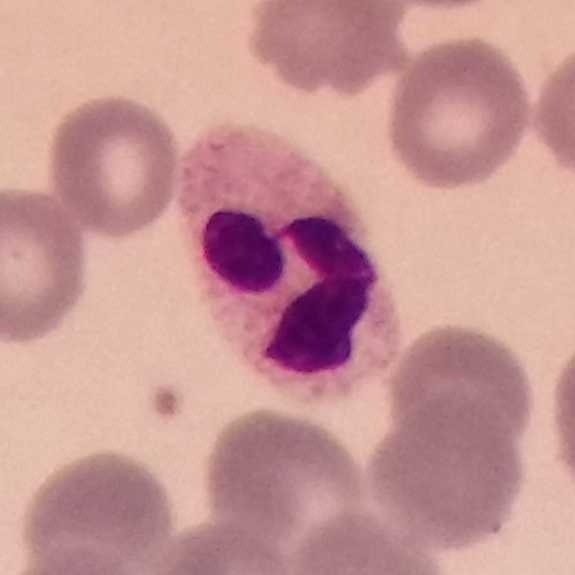
{"cell_type": "neutrophilic granulocyte", "lineage": "myeloid"}

Peripheral blood smear.